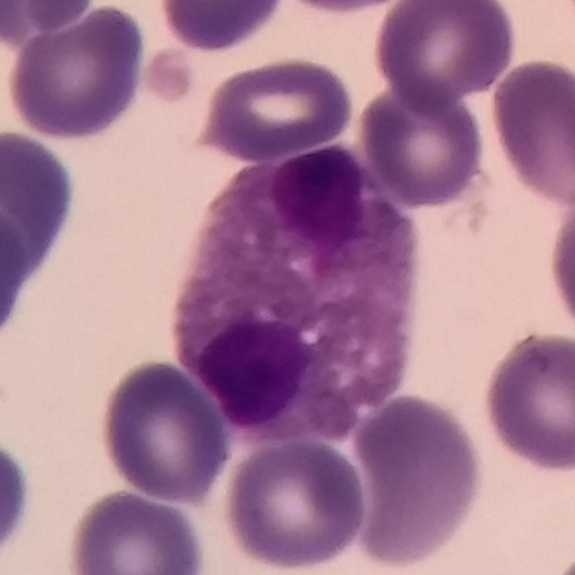{"cell_type": "eosinophilic granulocyte", "lineage": "myeloid"}